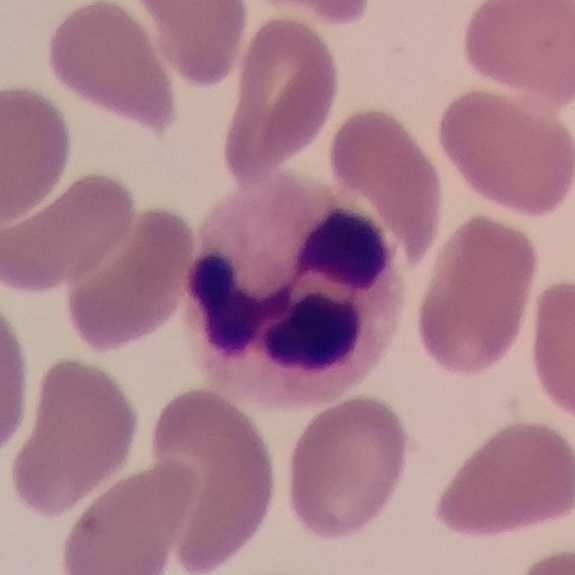 Identified as a neutrophil granulocyte. Image: Cropped to one leukocyte. Peripheral blood smear.